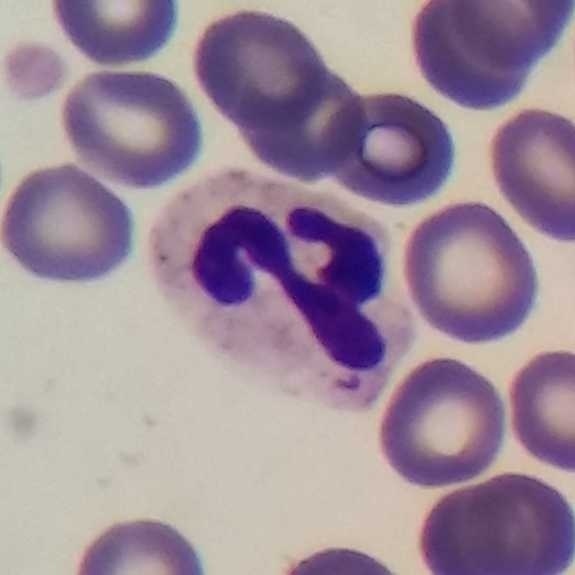

Classification = neutrophil.